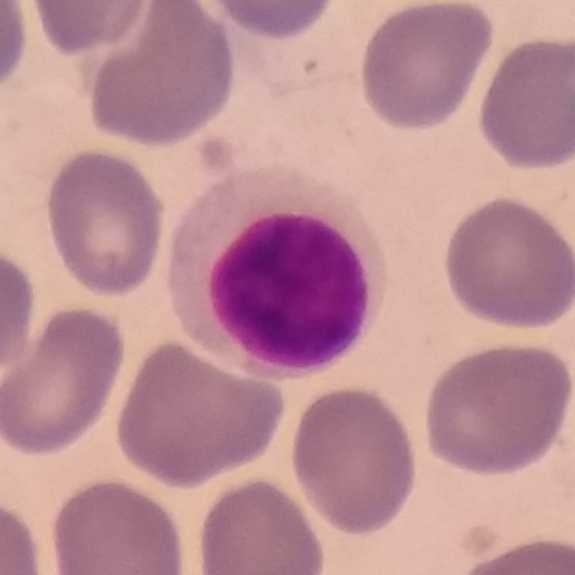Smartphone camera mounted on the microscope eyepiece · peripheral blood film · single-cell crop.

Morphology → lymphocyte.